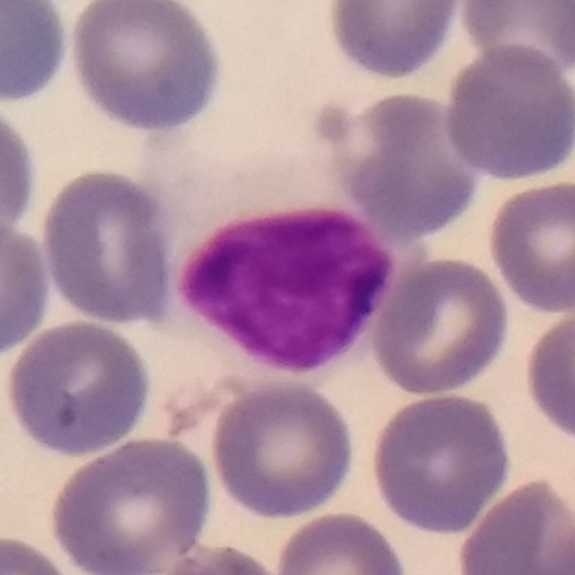
Impression — lymphocyte.